Peripheral blood film. Smartphone camera mounted on the microscope eyepiece:
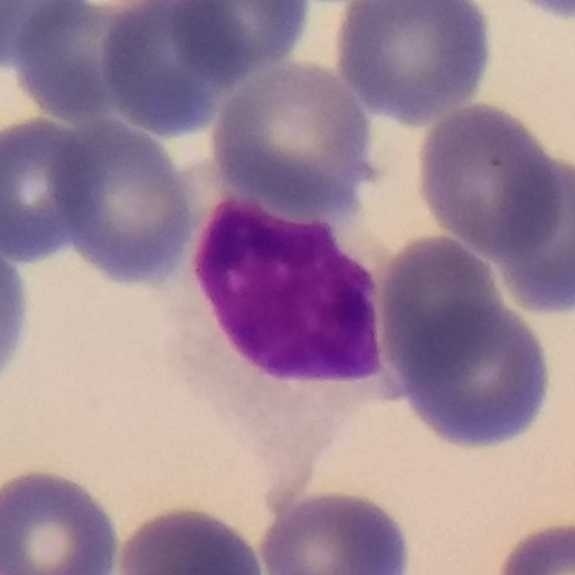White blood cell type: lymphocyte.